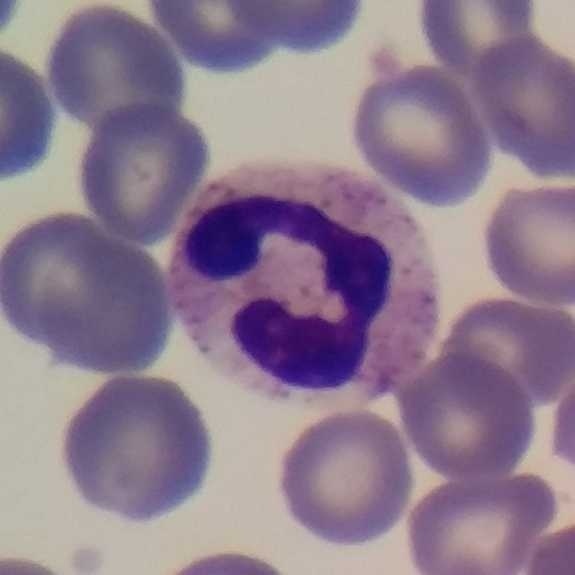 Context: Peripheral blood film. Cell: neutrophil granulocyte.